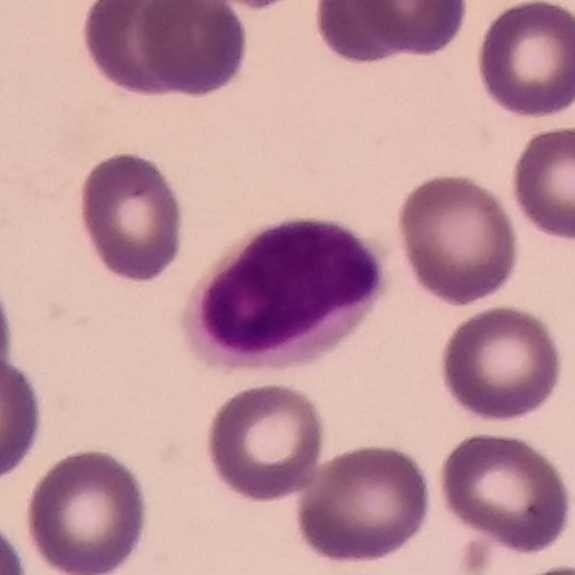
Identified as a lymphocyte.
Peripheral blood film.